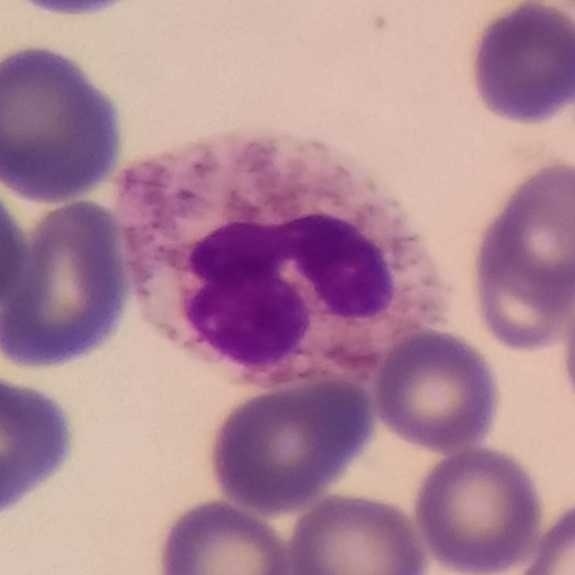

Q: Which cell type is shown here?
A: Neutrophil.